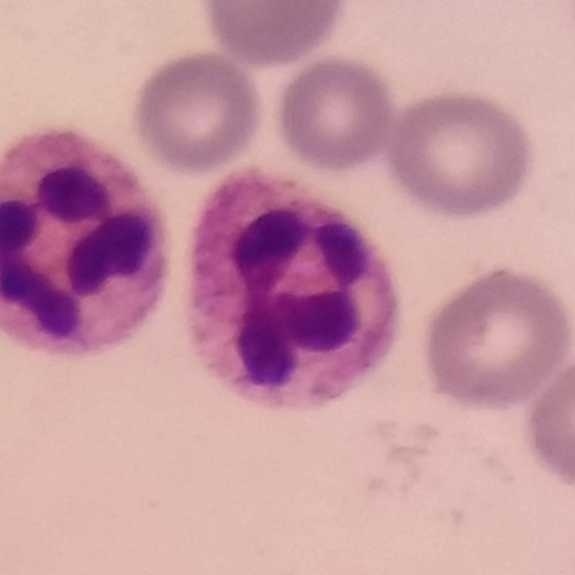
Morphology consistent with a neutrophil granulocyte.